Giemsa-stained; cropped to one leukocyte; peripheral blood film: 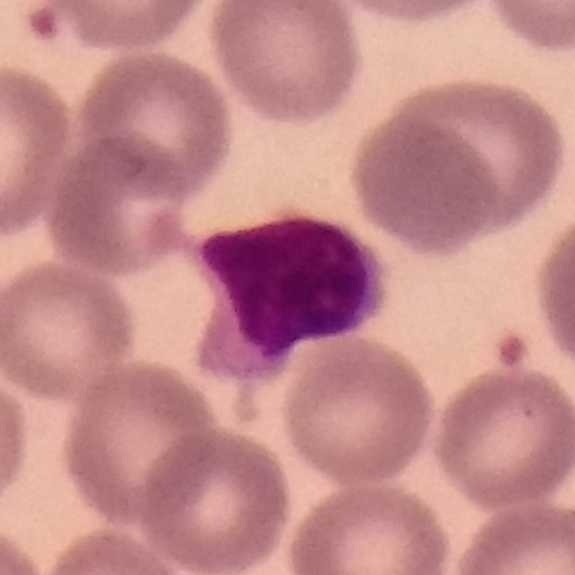 The white blood cell in this image is a lymphocyte.